Phone-camera image taken through the microscope ocular. Imaged at 100×. Peripheral blood smear — 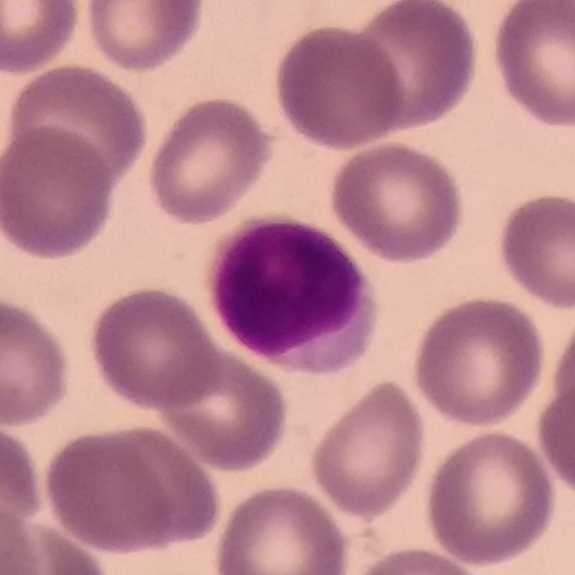

Q: Identify the cell.
A: A lymphocyte.